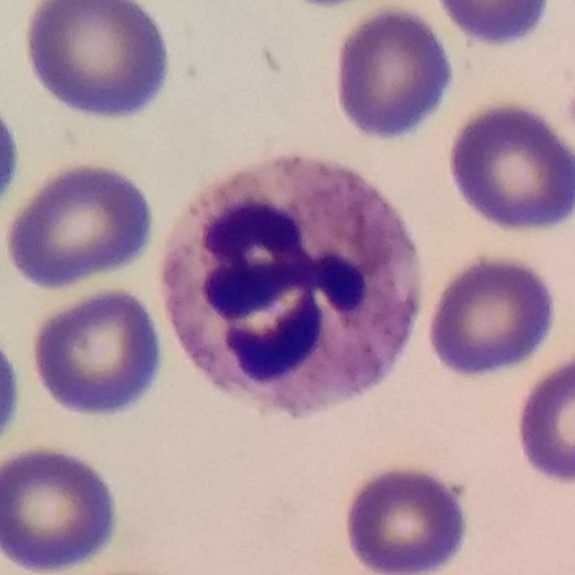Q: Which cell type is shown here?
A: It is a neutrophil granulocyte. Acquisition: Single white blood cell cropped from the smear photograph; peripheral blood film; image size 575×575.